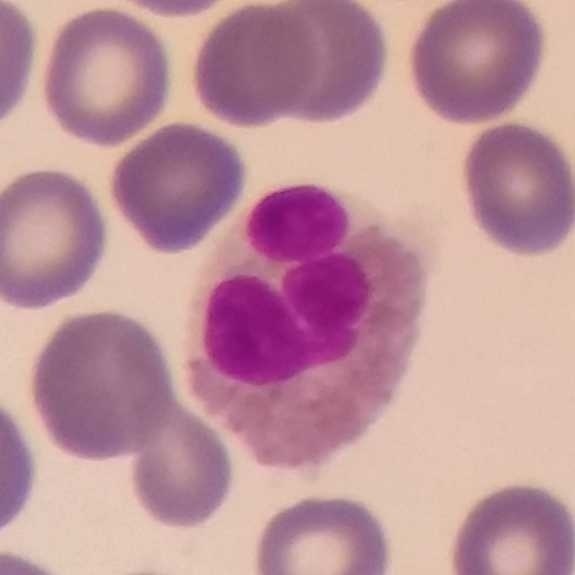An eosinophil. Context: Peripheral blood smear.